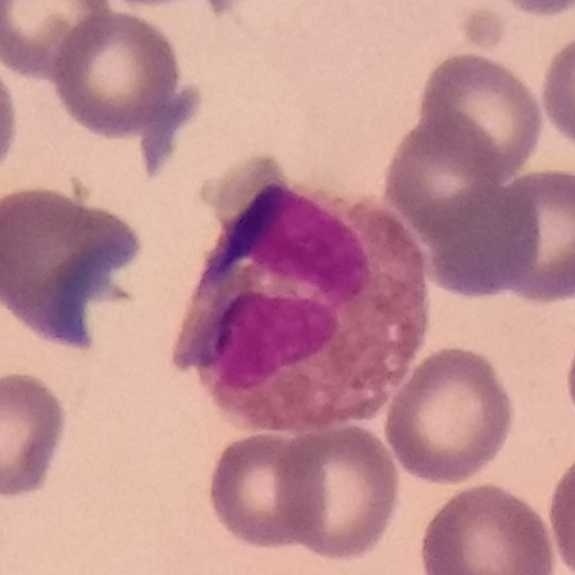 Q: What is shown here?
A: Eosinophil.